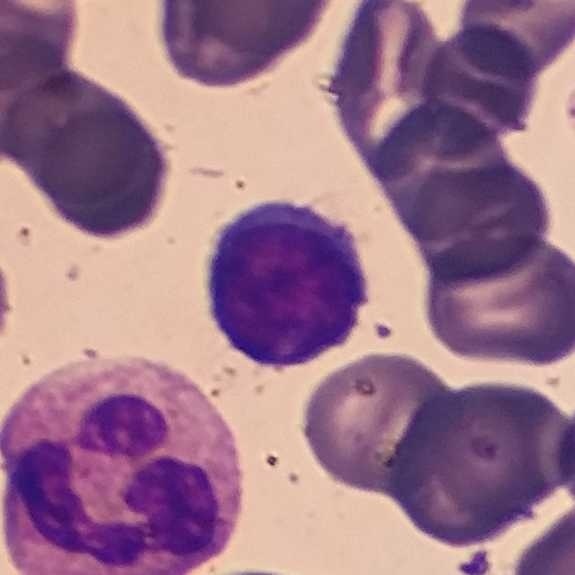Single cell identified as a lymphocyte.